Peripheral blood film.
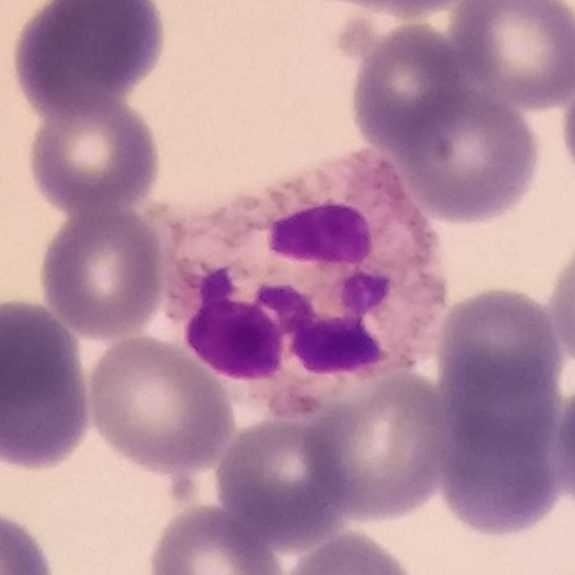Showing a neutrophil granulocyte.